Peripheral blood film:
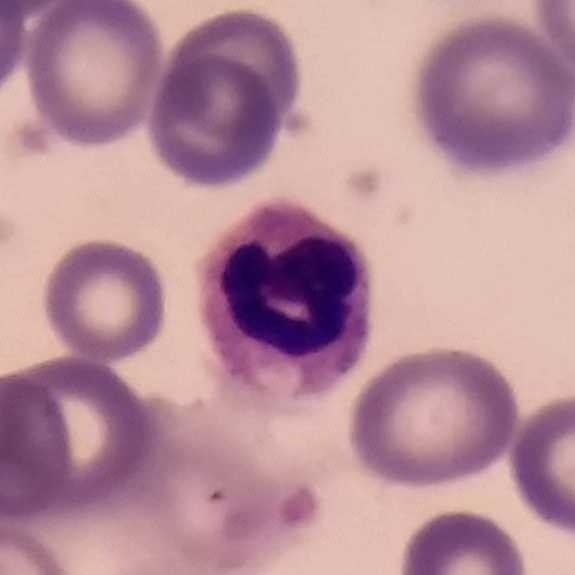Neutrophilic granulocyte.